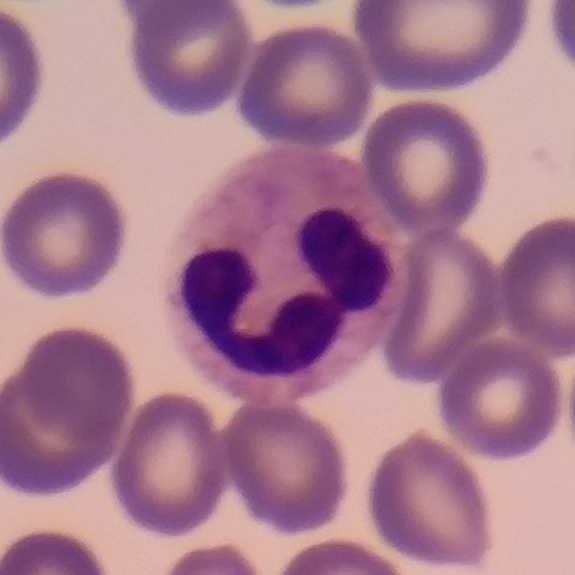Image: Peripheral blood smear. 100× magnification. Impression — neutrophil granulocyte.